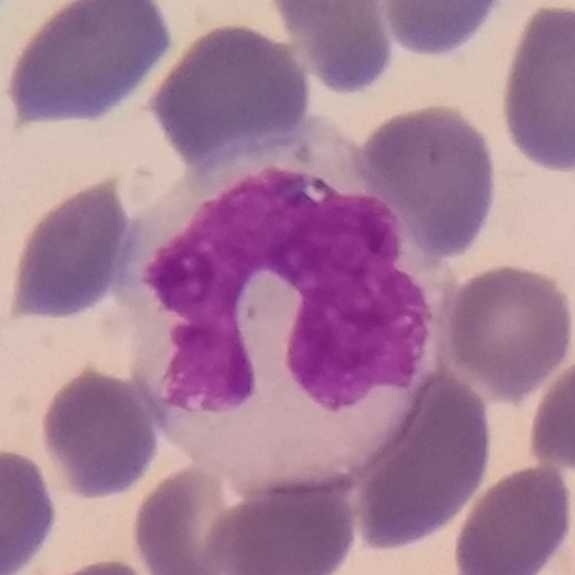
Morphology — monocyte.